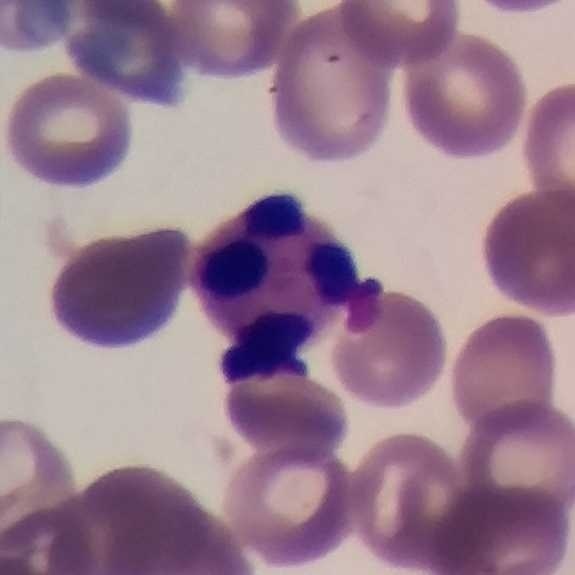

A neutrophil.

Acquisition: Giemsa-stained. Peripheral blood smear.